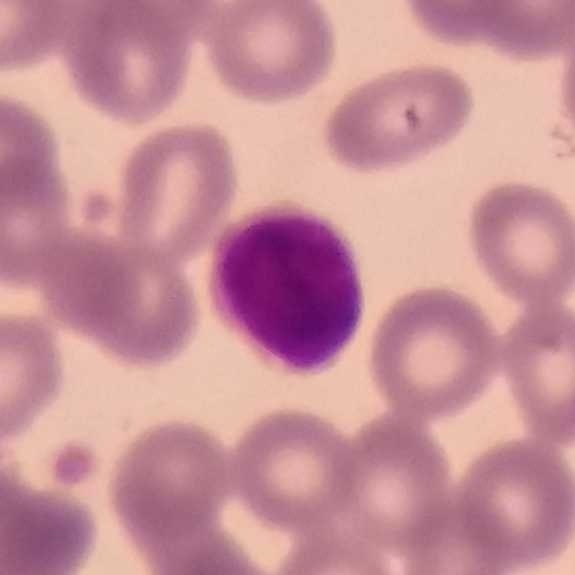
Cell type: lymphocyte.